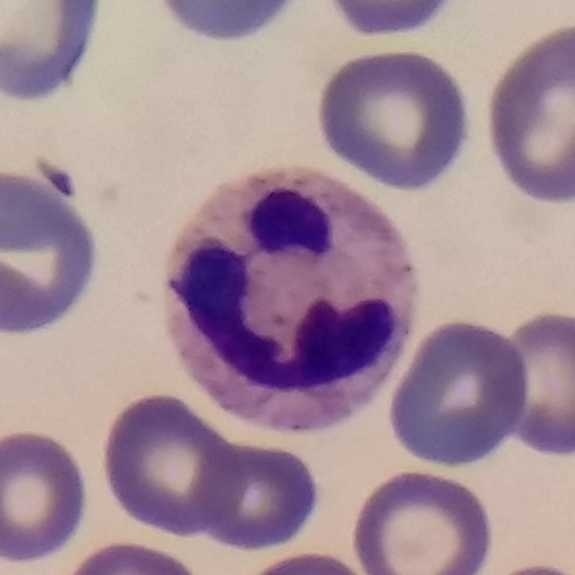White blood cell type: neutrophilic granulocyte.